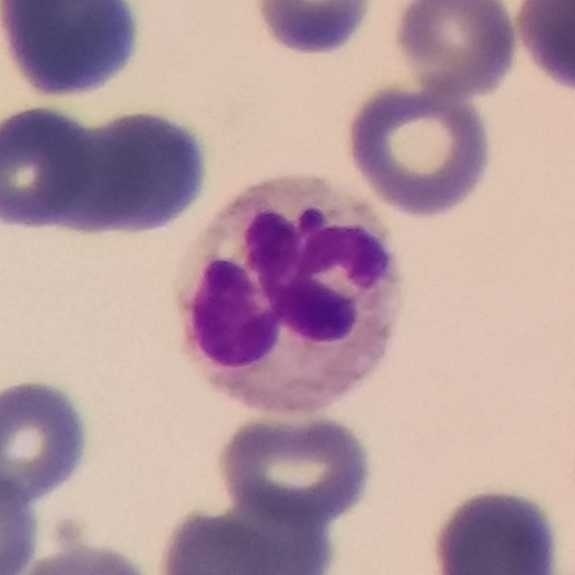 {"cell_type": "neutrophilic granulocyte", "lineage": "myeloid"}